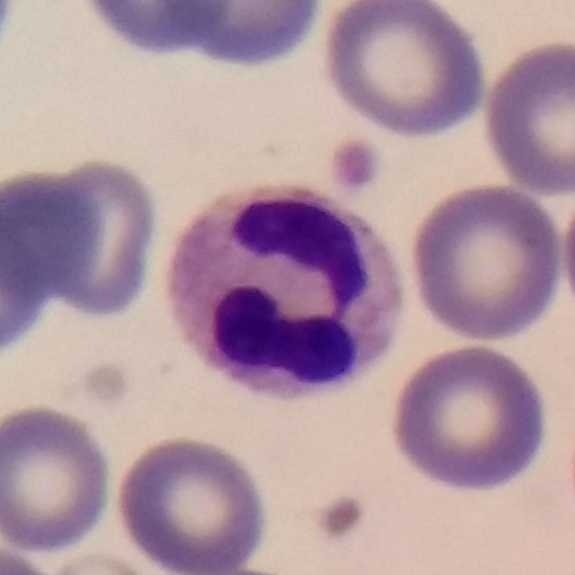

The cell is neutrophil.